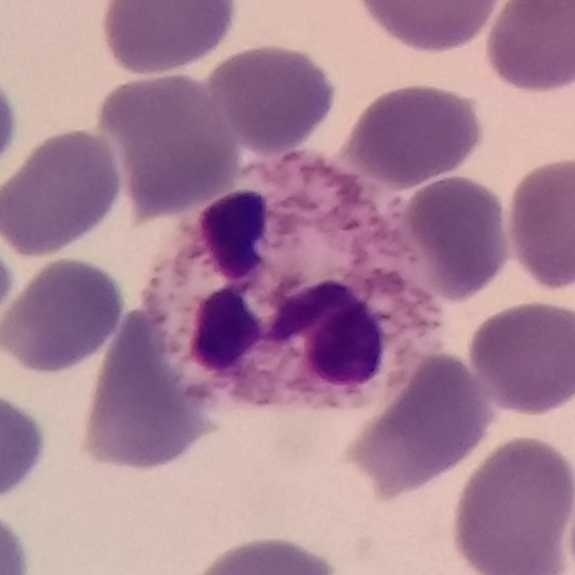
Image: Peripheral blood smear. Classification — neutrophilic granulocyte.